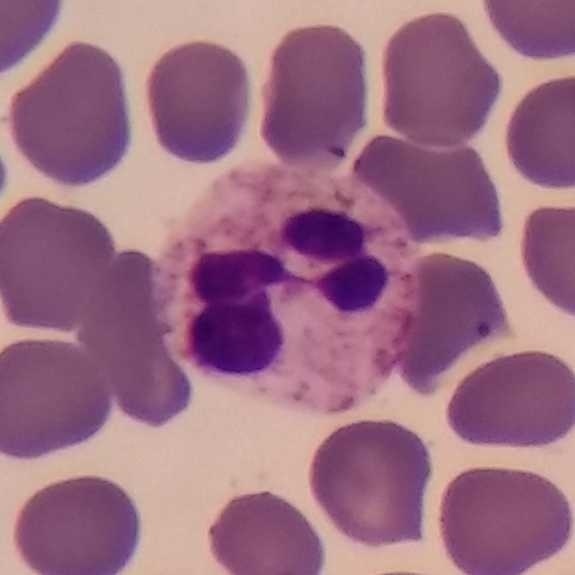

Specimen: peripheral blood film.
Classification: neutrophil.
Lineage: myeloid.